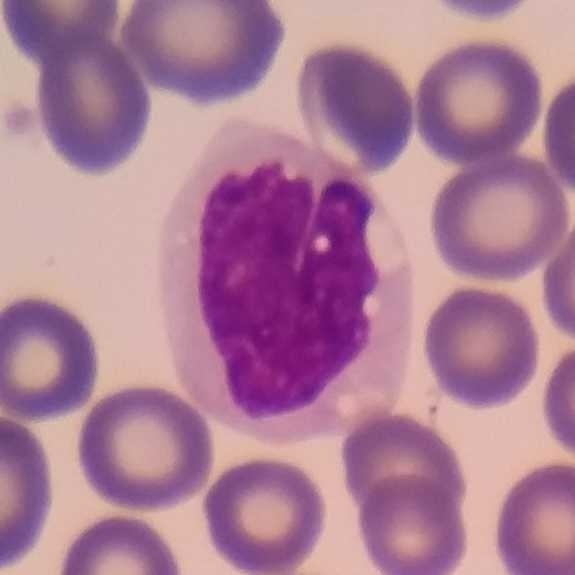White blood cell type = monocyte.

Magnification 100×; peripheral blood smear; image size 575×575.